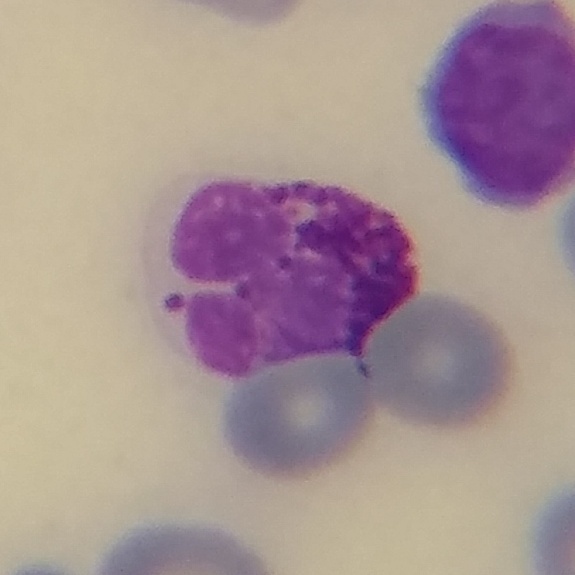 Q: Which cell type is shown here?
A: Basophil.

Acquisition: Peripheral blood film.